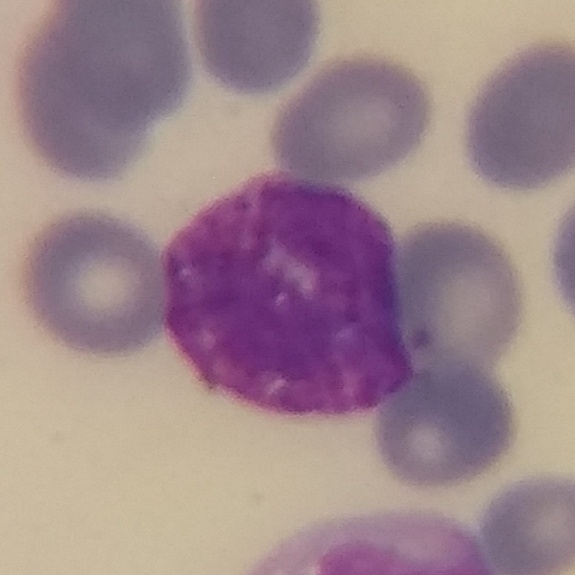
Peripheral blood film, single cell — basophilic granulocyte.